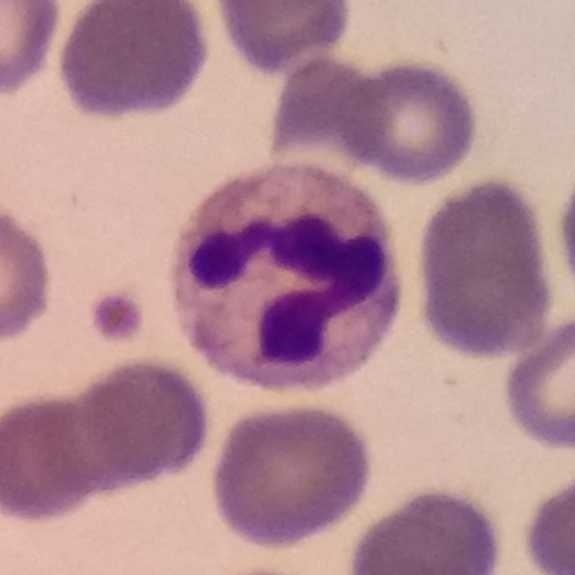

Impression → neutrophil granulocyte.

Acquisition: Peripheral blood smear.